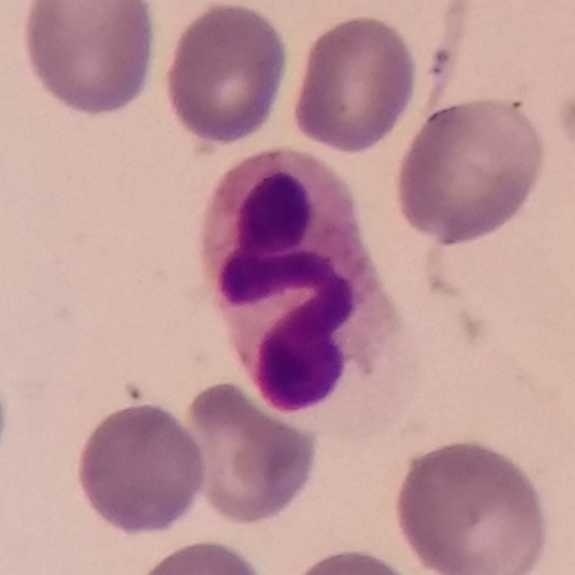

Impression → neutrophilic granulocyte.